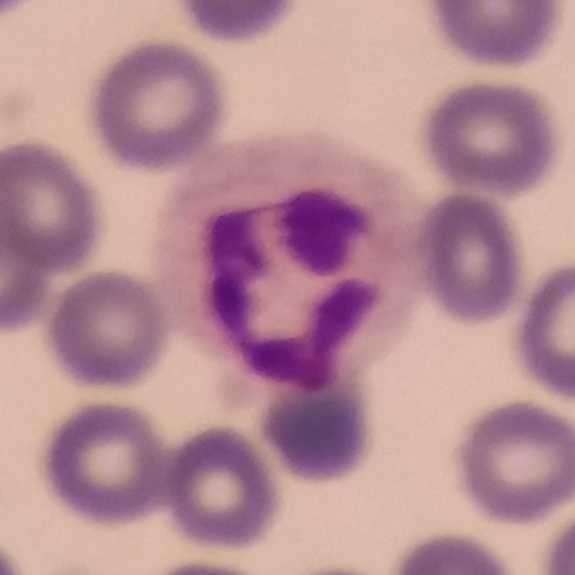Single cell identified as a neutrophil.

Peripheral blood smear.